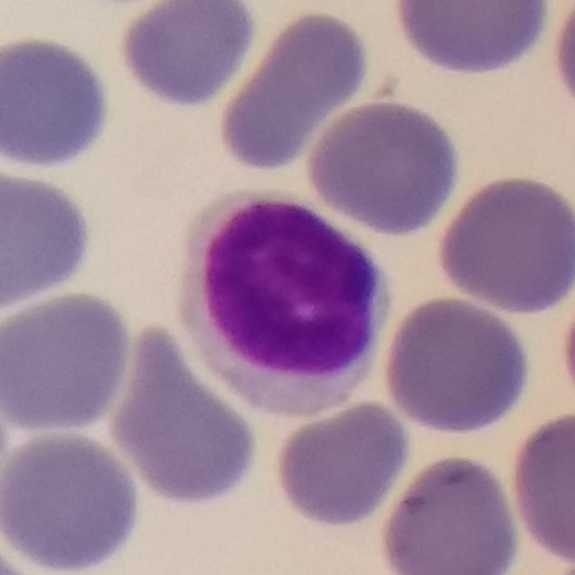

Cell type — lymphocyte.

Context: Smartphone camera mounted on the microscope eyepiece; peripheral blood film.